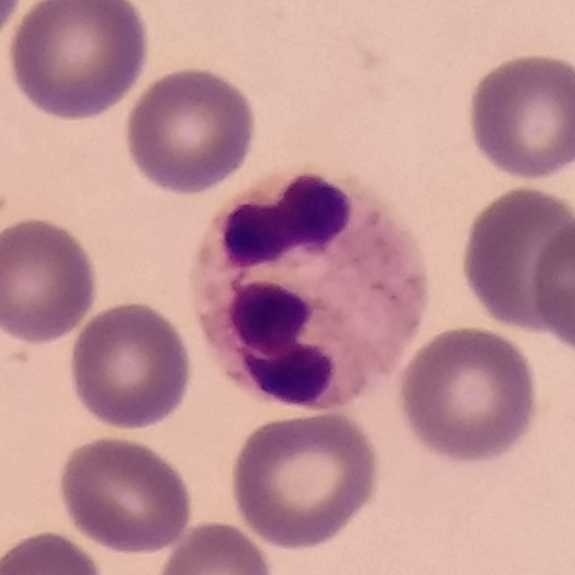

Neutrophil granulocyte.